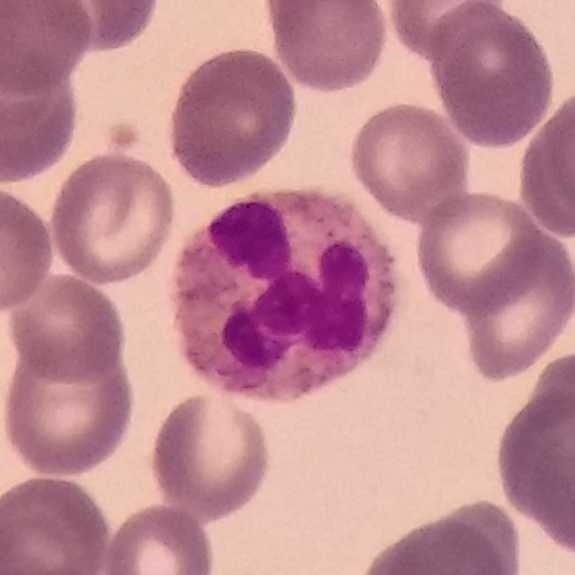

Peripheral blood film. Stained with Giemsa.

Cell type: neutrophil granulocyte.